Peripheral blood smear: 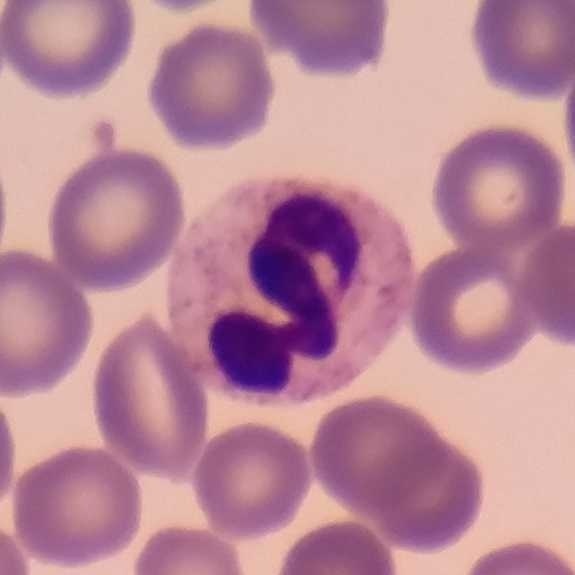Q: What cell is this?
A: A neutrophil.